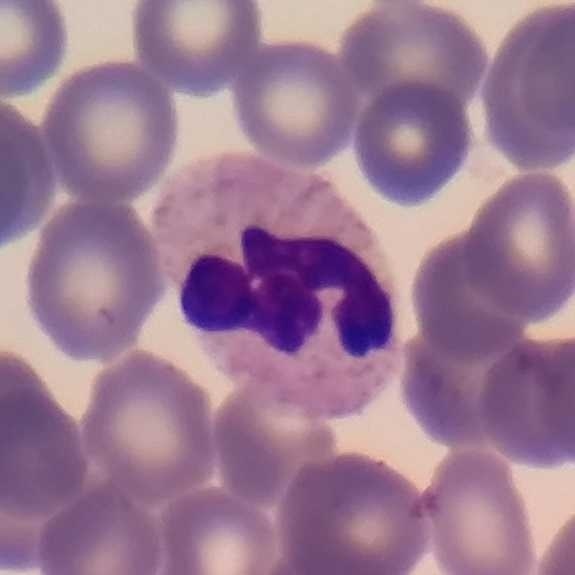

Q: What type of cell is this?
A: It is a neutrophil. Peripheral blood film.